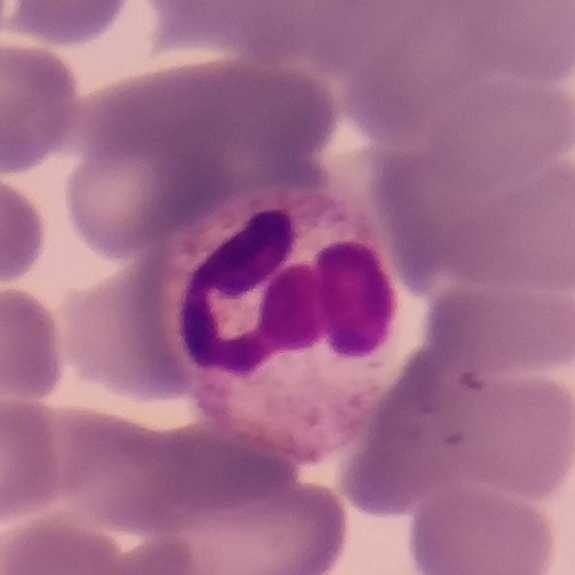Single cell identified as a neutrophil granulocyte.